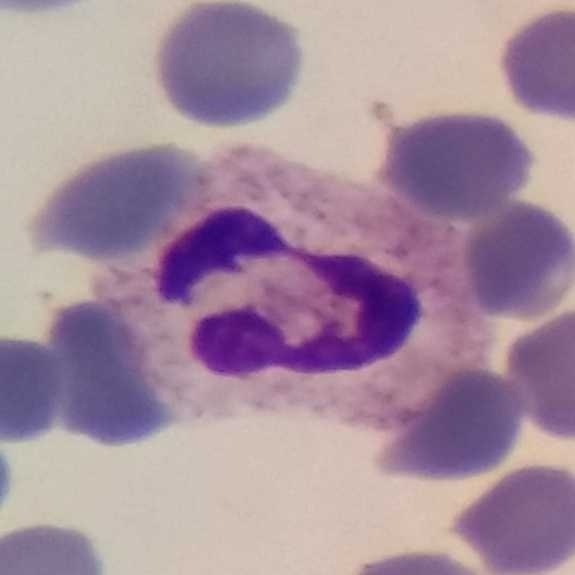Preparation: Peripheral blood film.

Single cell identified as a neutrophilic granulocyte.